Peripheral blood smear · single-cell crop: 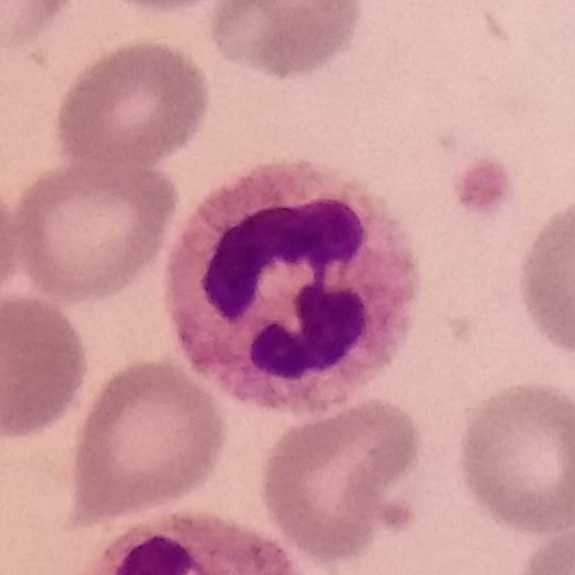 The cell is neutrophilic granulocyte.